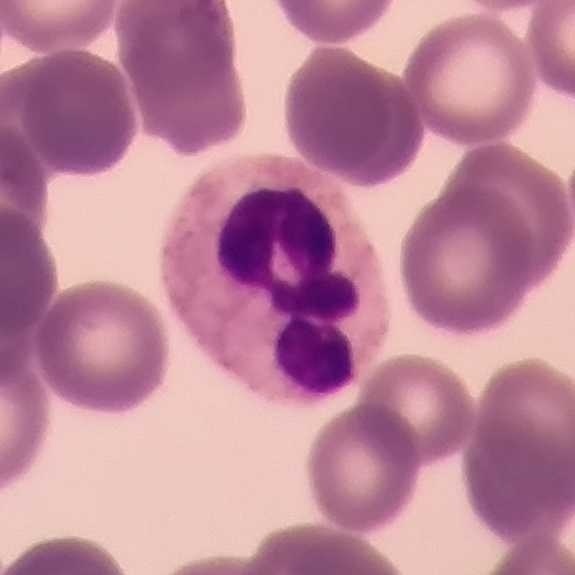Cell type = neutrophil.

Acquisition: Peripheral blood smear.